Peripheral blood smear; smartphone photomicrograph
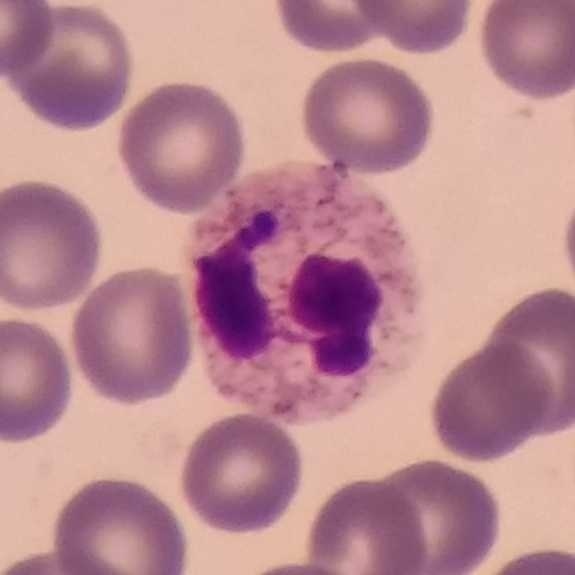

A neutrophilic granulocyte.